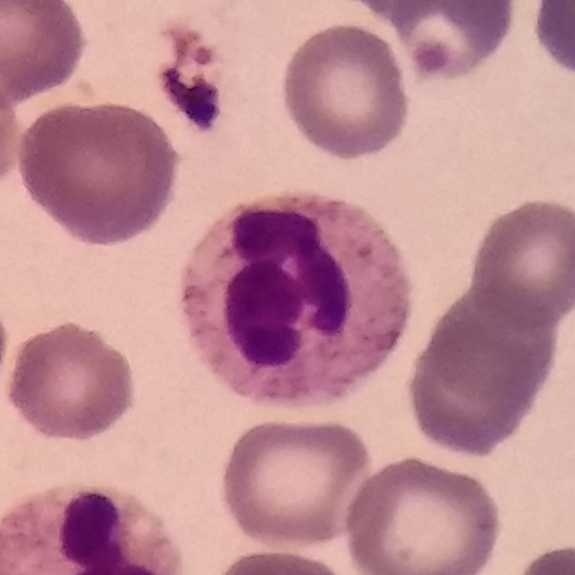
Q: What is shown here?
A: A neutrophil granulocyte.